575 by 575 pixels · smartphone camera mounted on the microscope eyepiece · peripheral blood smear: 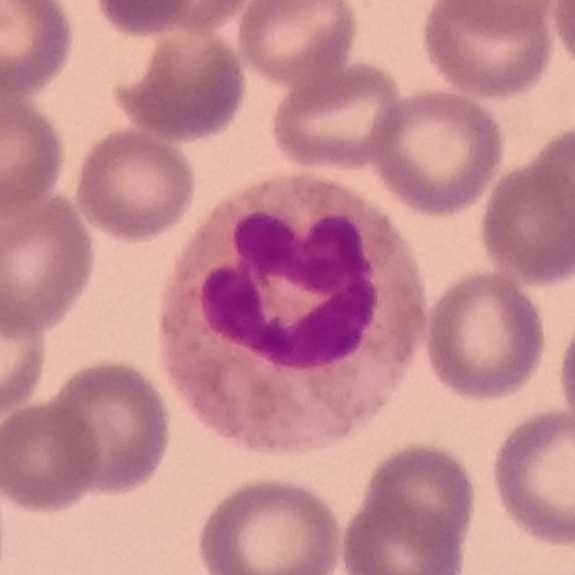 Cell type = neutrophil granulocyte.